Peripheral blood smear. Cropped to one leukocyte: 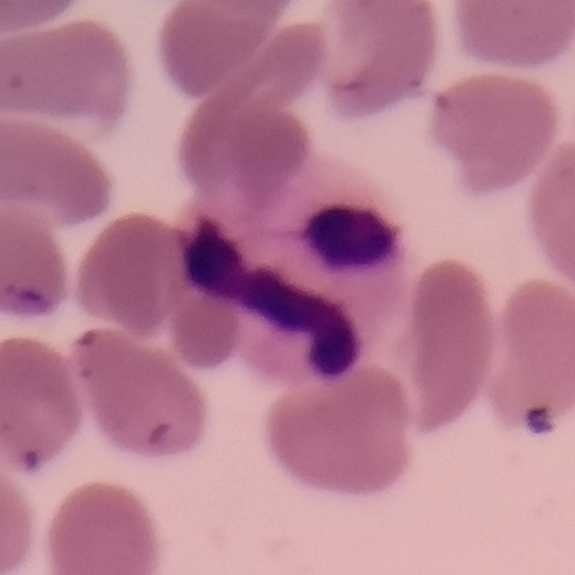

Morphology consistent with a neutrophilic granulocyte.